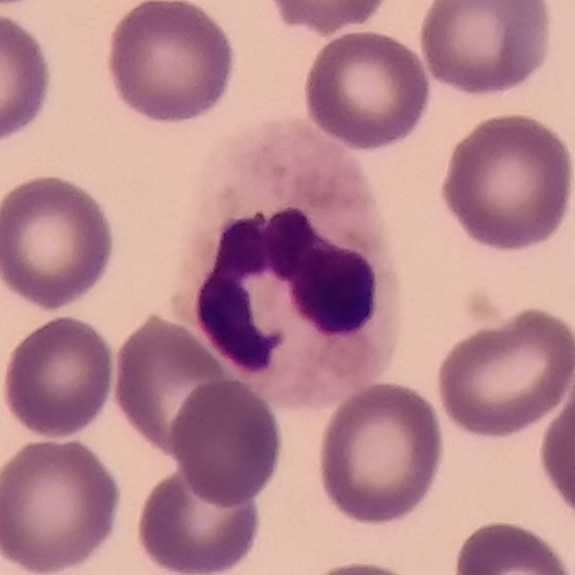

Showing a neutrophil granulocyte. Preparation: Peripheral blood smear; 575×575 px; single white blood cell cropped from the smear photograph.